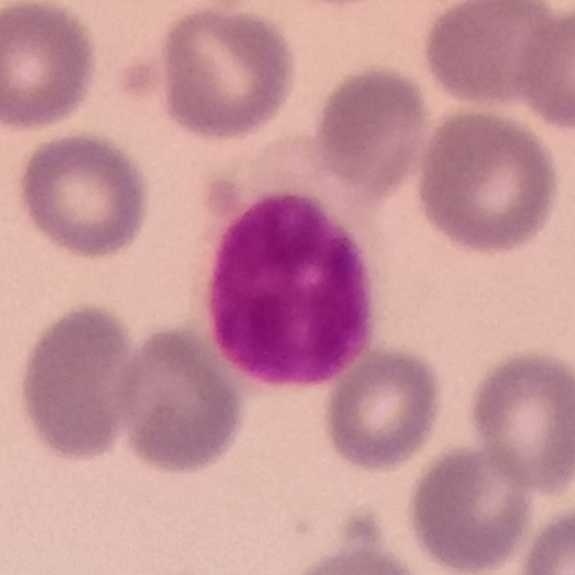 Peripheral blood smear · stained with Giemsa.
{"cell_type": "lymphocyte"}